Peripheral blood smear:
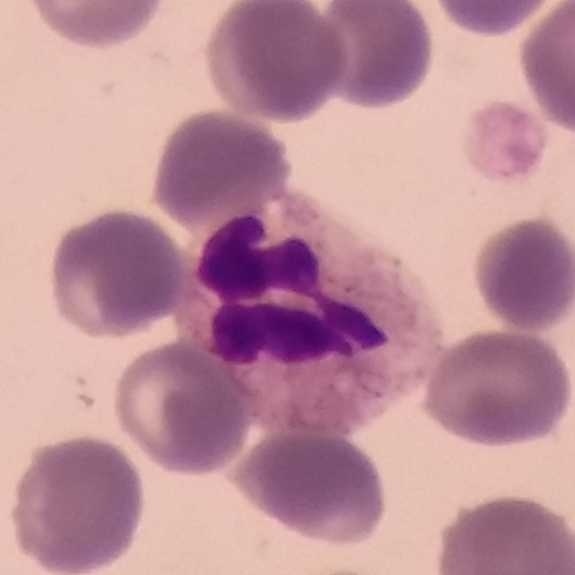

Q: What is the morphological classification of this cell?
A: Neutrophil granulocyte.